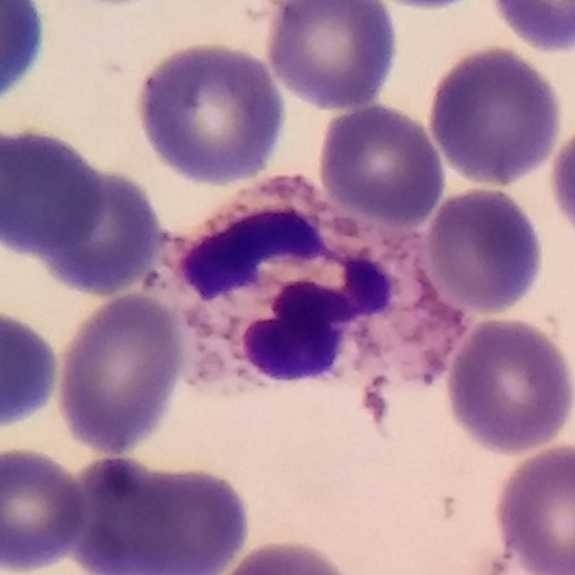
White blood cell type = neutrophilic granulocyte.

Context: Peripheral blood film.